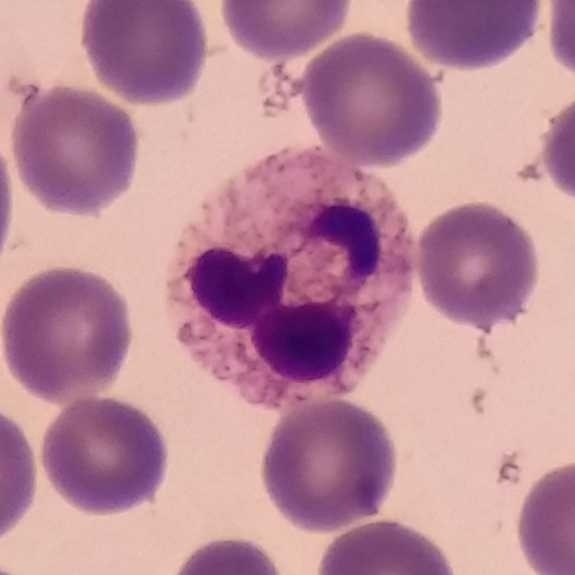 Classification: neutrophil granulocyte.
Peripheral blood smear.